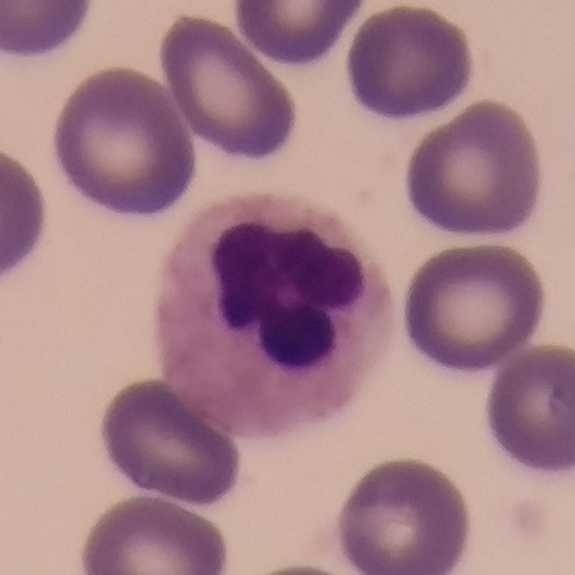

Specimen: peripheral blood film.
Cell type: neutrophil.
Lineage: myeloid.